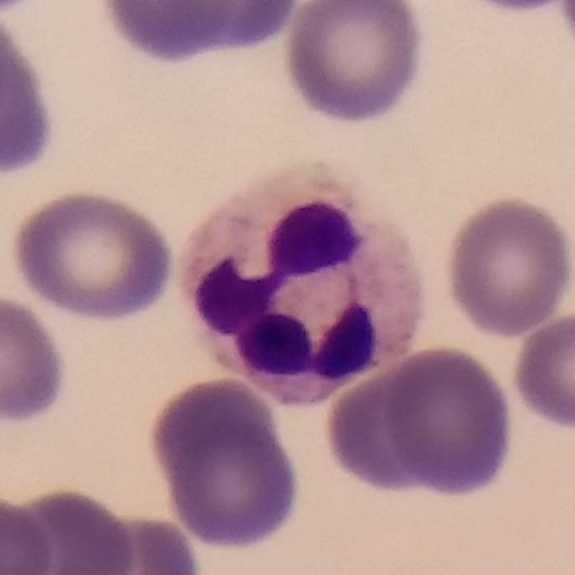 A neutrophil granulocyte on a peripheral blood smear.